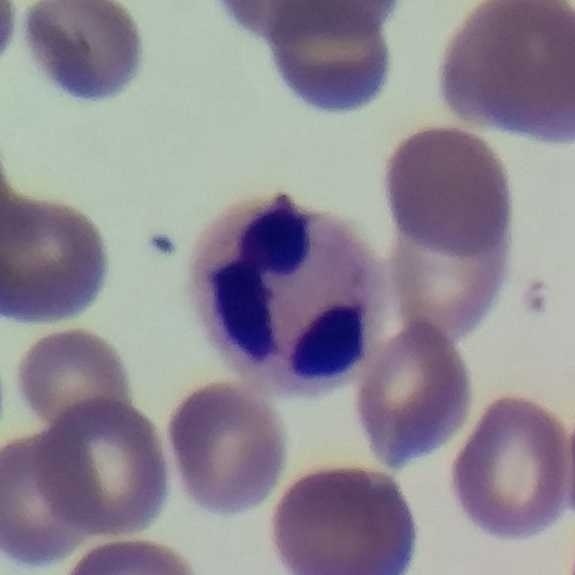

Acquisition: Single-cell field · peripheral blood film.

Q: What is the morphological classification of this cell?
A: This is a neutrophil granulocyte.